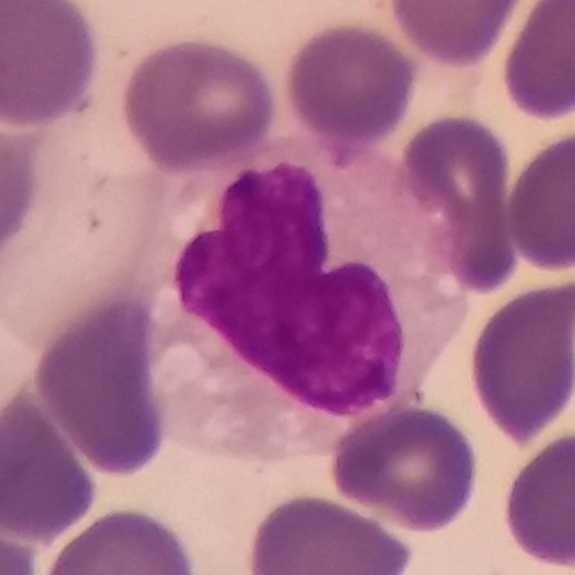 Image size 575×575 · single white blood cell cropped from the smear photograph. Specimen: peripheral blood smear.
Cell type: monocyte.
Lineage: myeloid.